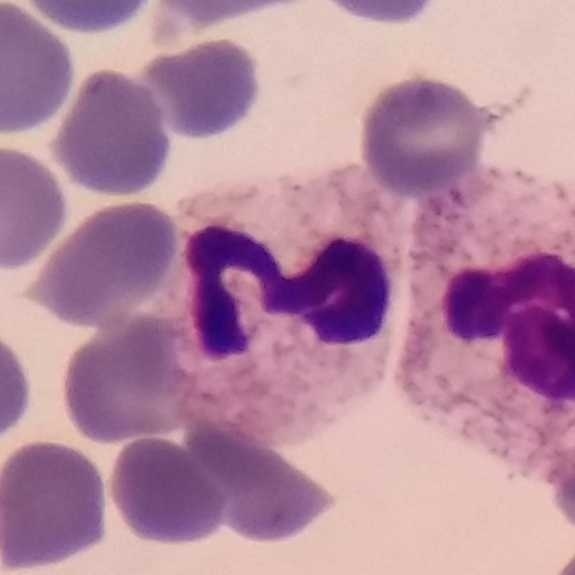
Magnification 100× · peripheral blood film · phone-camera image taken through the microscope ocular.
Cell — neutrophil.